Magnification 100×; peripheral blood film; smartphone camera mounted on the microscope eyepiece: 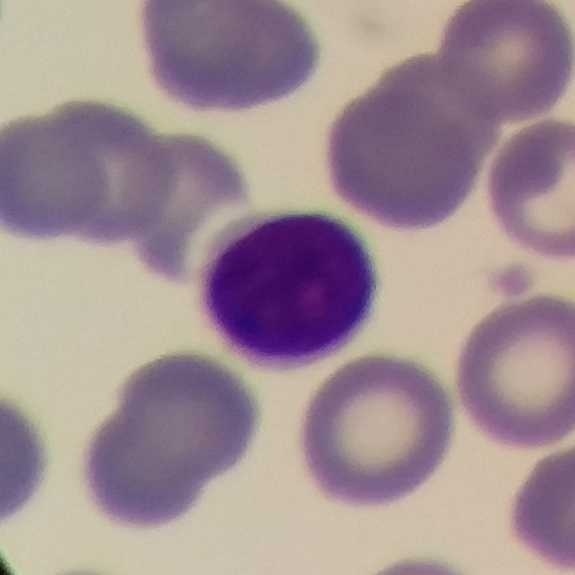Specimen: peripheral blood smear.
Morphological class: lymphocyte.